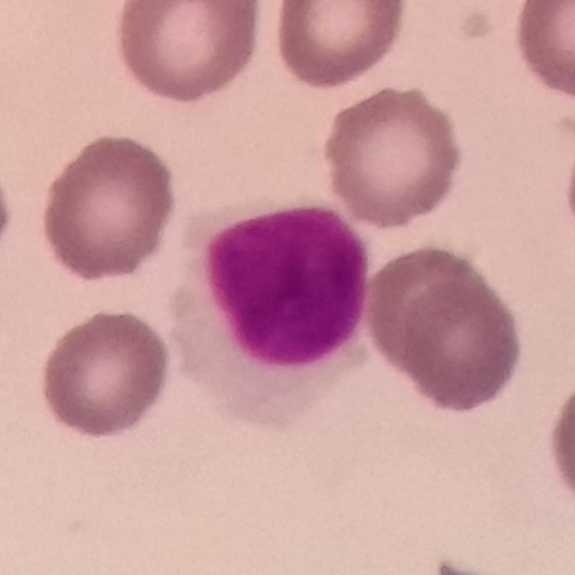
Acquisition: Peripheral blood smear.

Morphology → lymphocyte.